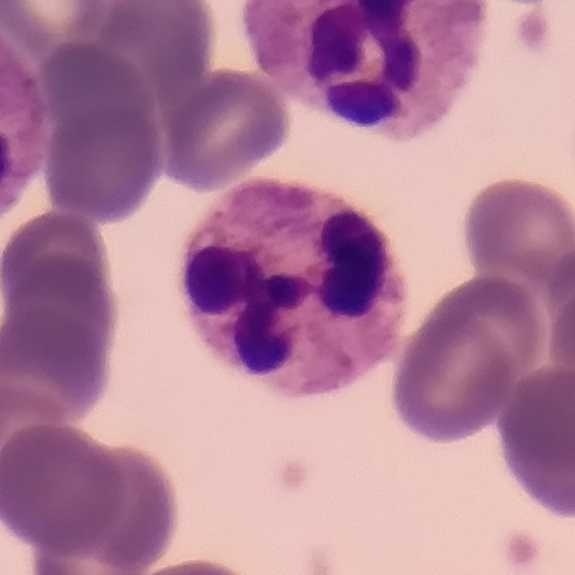

The cell shown is a neutrophilic granulocyte.

Context: 575×575 px · Giemsa stain · peripheral blood smear.